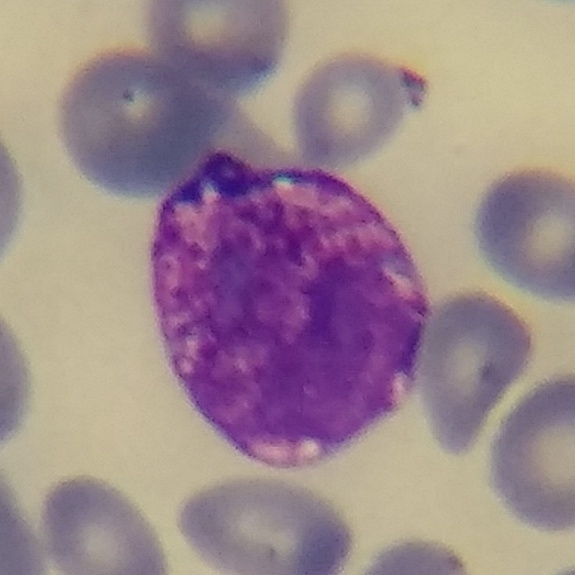
Q: What type of cell is this?
A: A basophil.